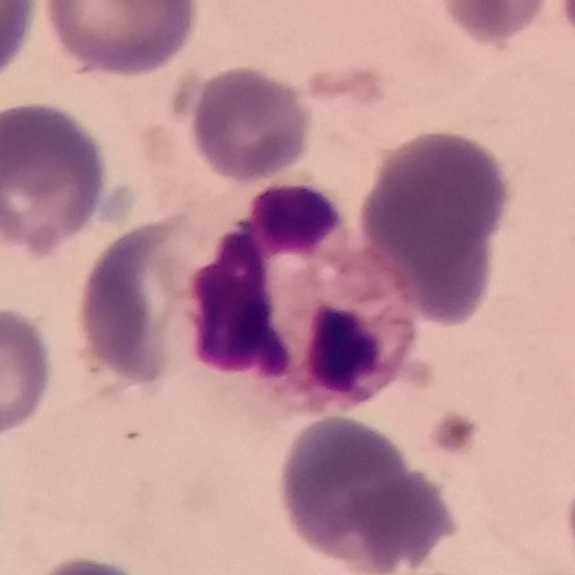

{"cell_type": "neutrophil granulocyte"} Context: 100× magnification. Peripheral blood smear.